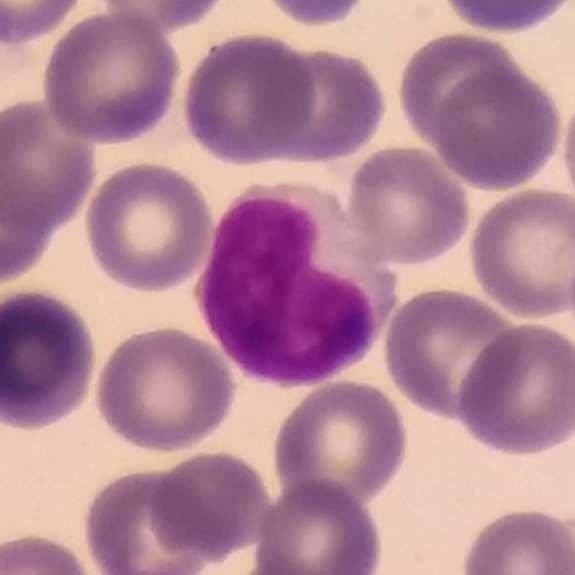The cell type is lymphocyte.